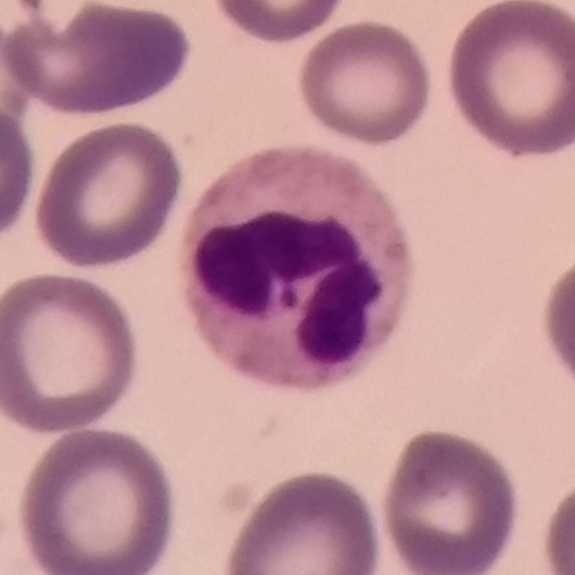 The white blood cell in this image is a neutrophil granulocyte.

Image: Peripheral blood film · single white blood cell cropped from the smear photograph.